Peripheral blood film — 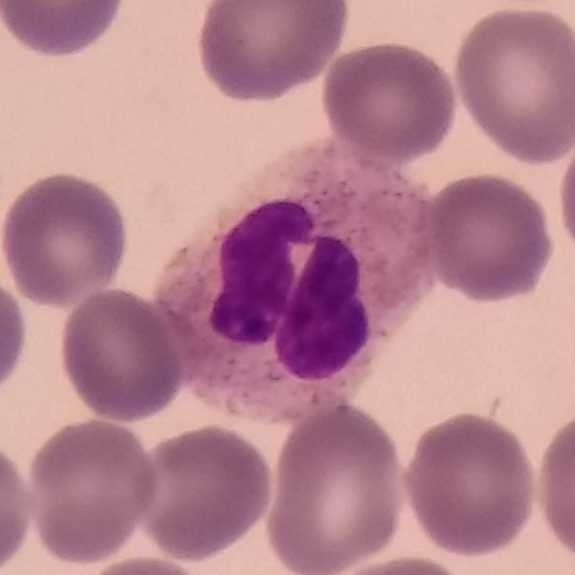

A neutrophilic granulocyte.